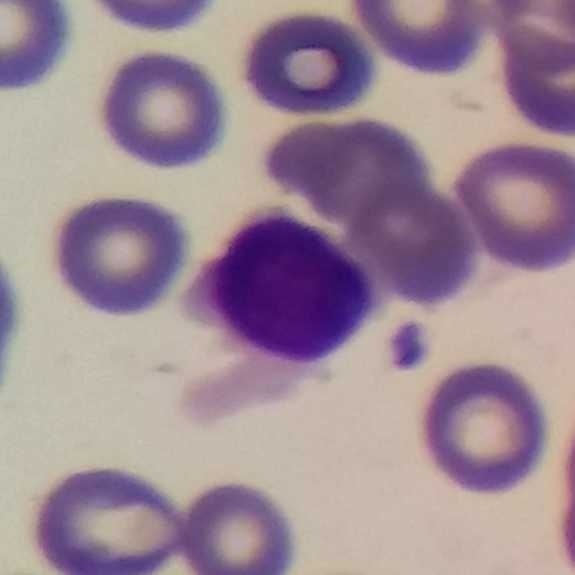
Acquisition: Peripheral blood film.

Q: Which cell type is shown here?
A: It is a lymphocyte.